Peripheral blood film
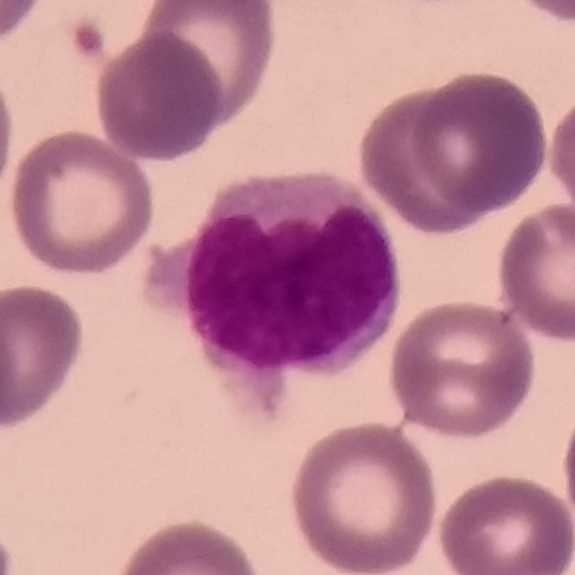 Impression → monocyte.